Peripheral blood film: 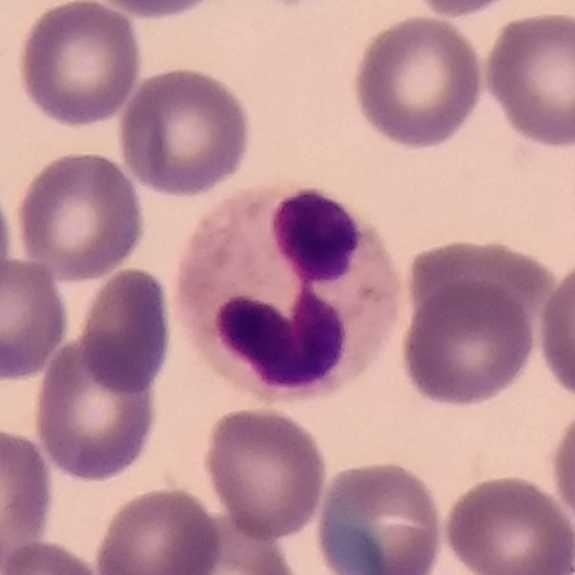
This is a neutrophilic granulocyte.